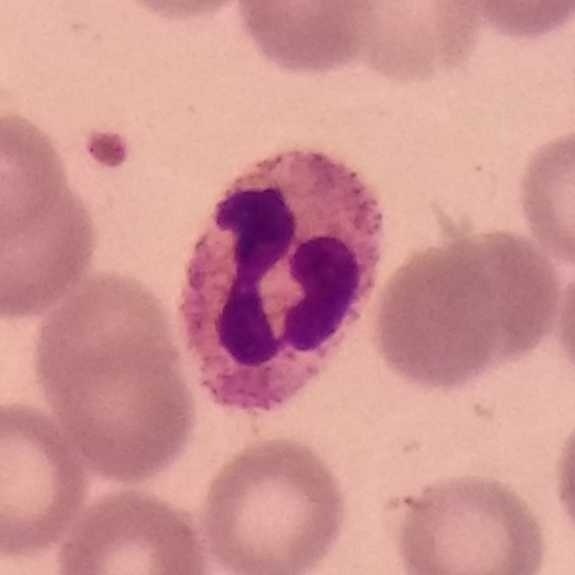
Morphological class — neutrophil granulocyte.